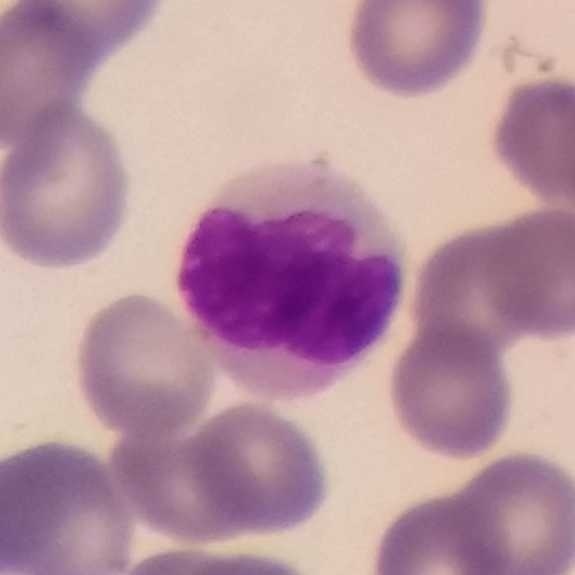 White blood cell type = monocyte.